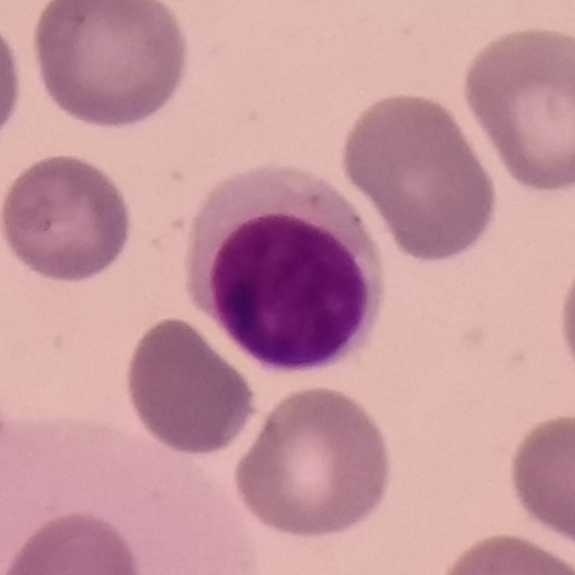Specimen: peripheral blood smear.
Cell type: lymphocyte.
Lineage: lymphoid.